575×575; peripheral blood film:
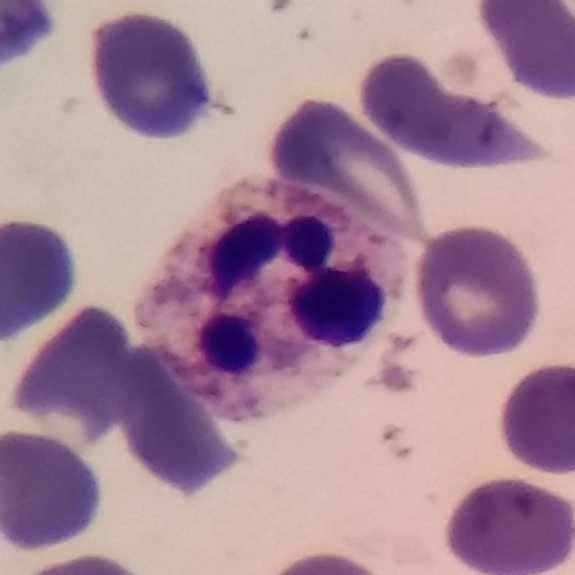Impression — neutrophil.